Single white blood cell cropped from the smear photograph · photographed through a light microscope with a smartphone camera · peripheral blood smear:
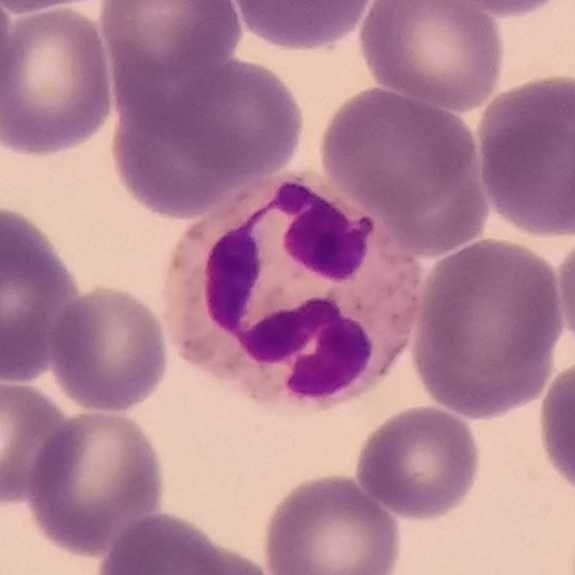

Neutrophilic granulocyte.